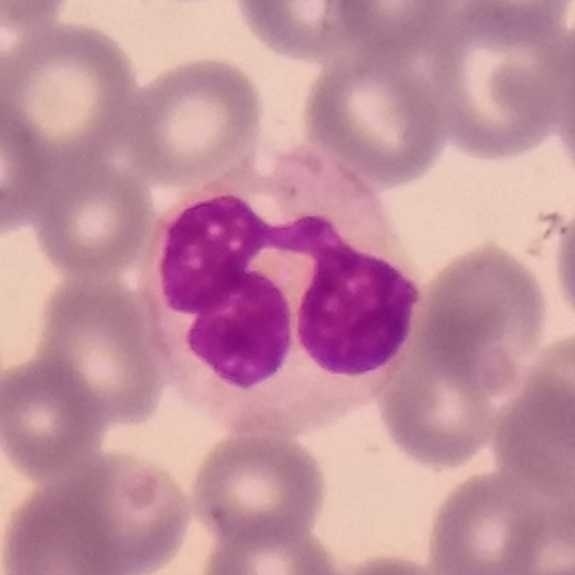Impression → monocyte.